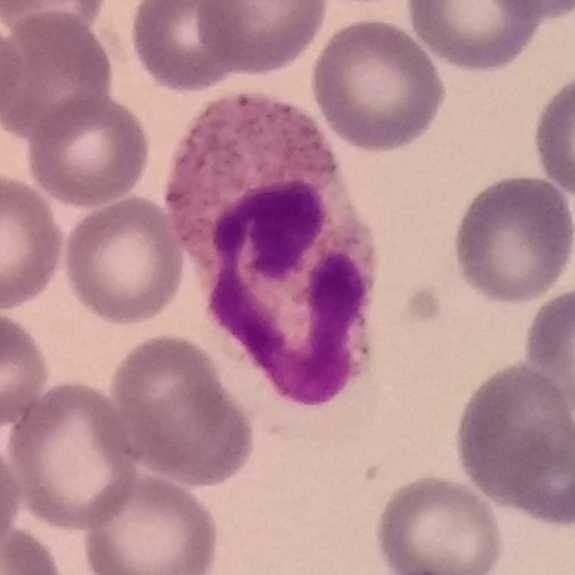
Morphology — neutrophil.